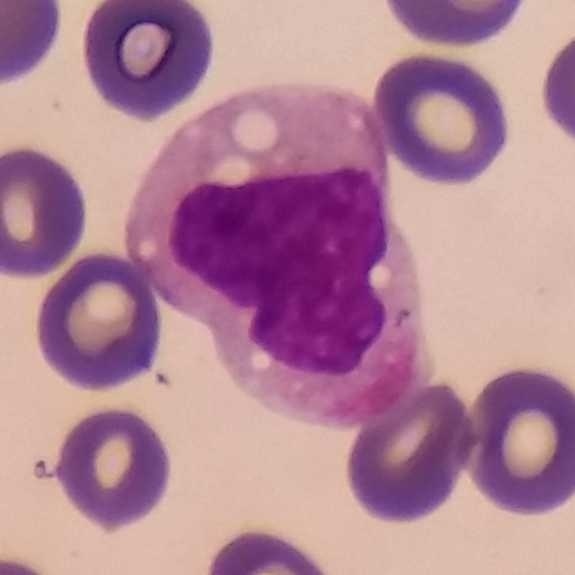White blood cell from a peripheral blood smear: monocyte.